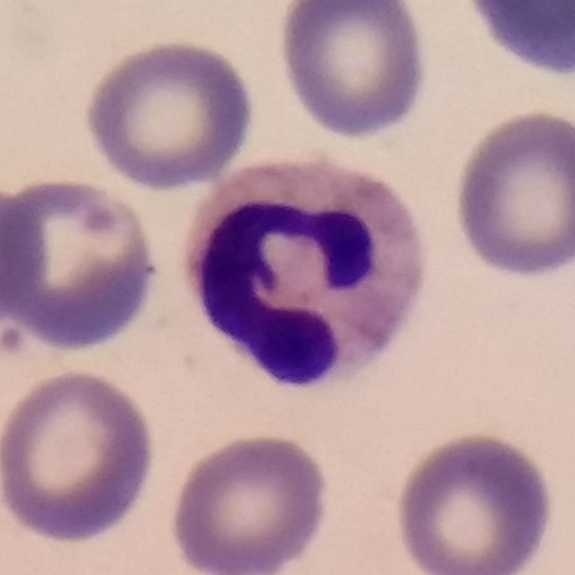

Preparation: Peripheral blood film.
Q: Identify the cell.
A: This is a neutrophilic granulocyte.